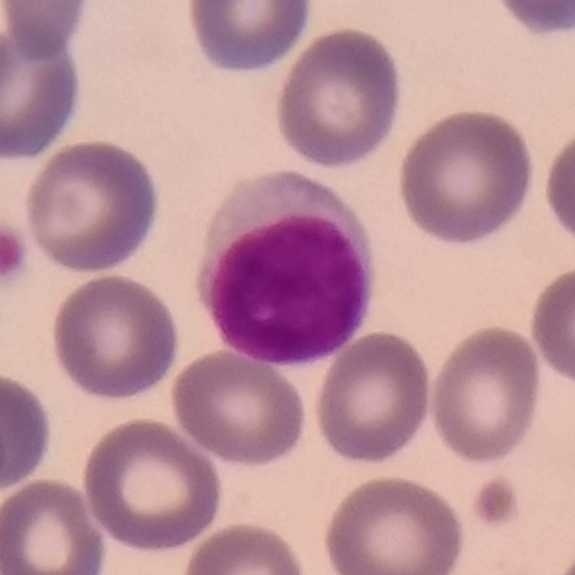

Lymphocyte. Preparation: Magnification 100× · peripheral blood smear · 575×575.